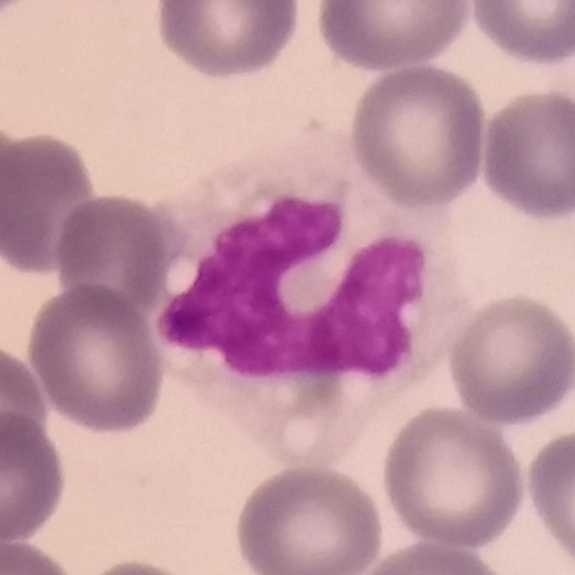
Image size 575×575 · smartphone camera mounted on the microscope eyepiece · peripheral blood film. Single cell identified as a monocyte.